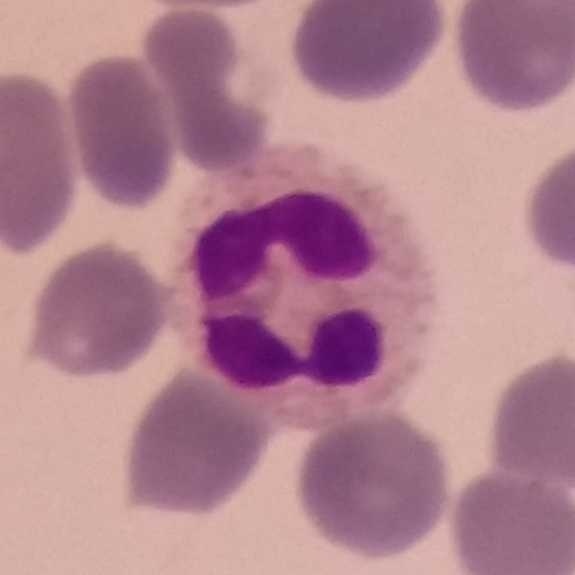
Acquisition: Peripheral blood smear. Q: What type of cell is this?
A: This is a neutrophil.